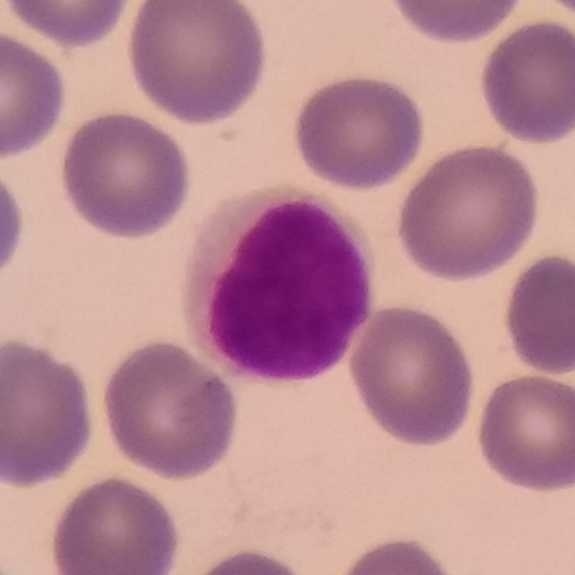
Impression → lymphocyte.